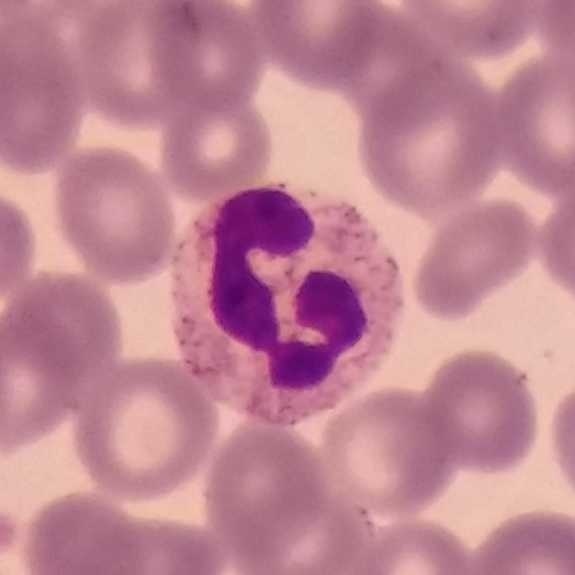Morphology → neutrophil.

Peripheral blood film · Giemsa-stained.